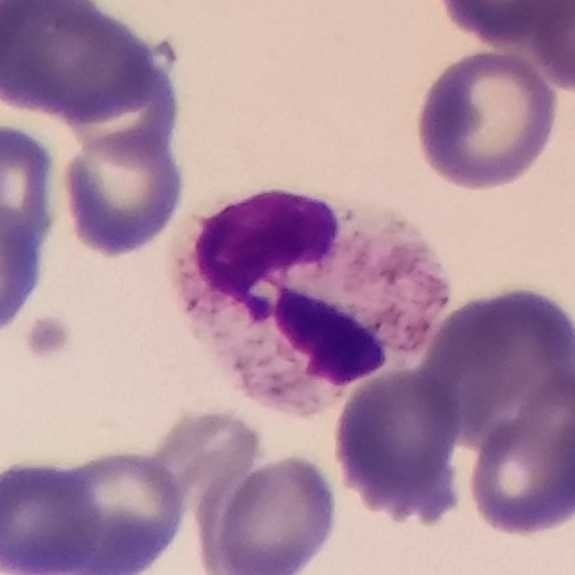
Q: What cell is this?
A: It is a neutrophil granulocyte.
Peripheral blood film; magnification 100×.